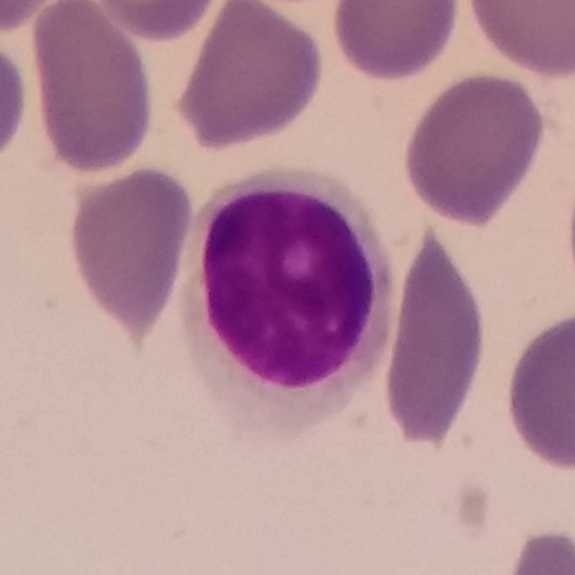This is a lymphocyte.
Preparation: Peripheral blood film. Single-cell field. Imaged at 100×.